Peripheral blood film — 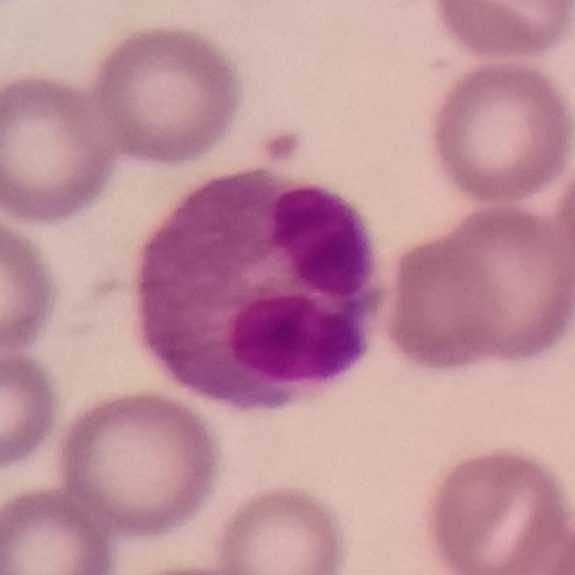Classification = eosinophilic granulocyte.